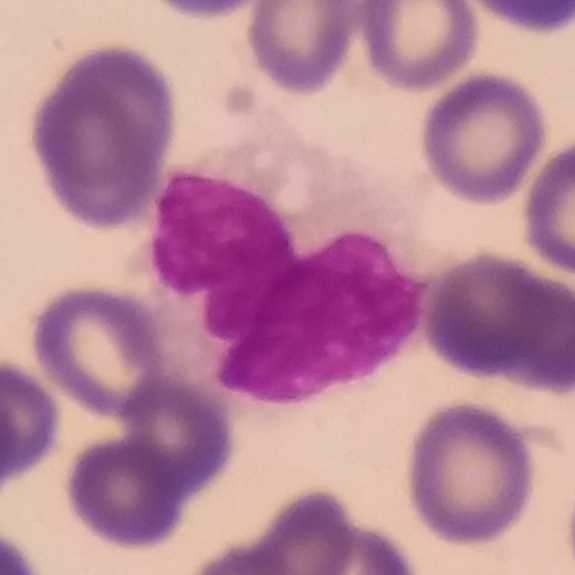

Specimen: peripheral blood smear.
Morphological class: monocyte.
Lineage: myeloid.
Imaged at 100× · Giemsa-stained.